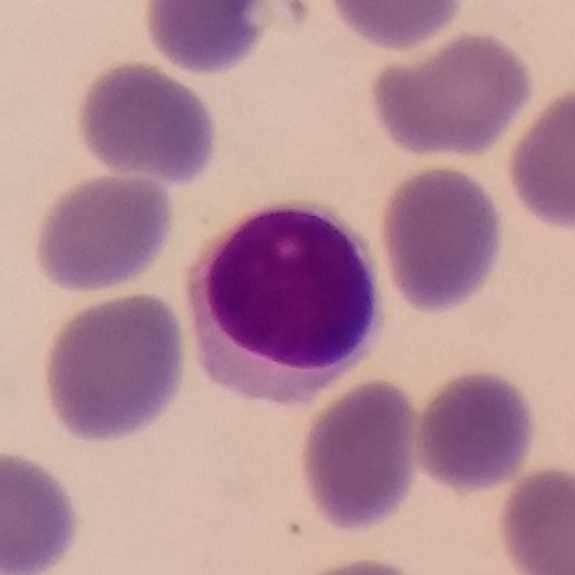Q: Identify the cell.
A: Lymphocyte.
Image: Magnification 100× · Giemsa stain · peripheral blood film.